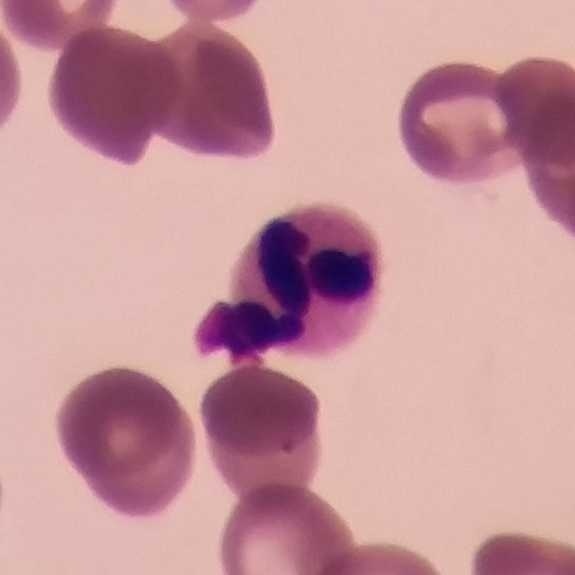 Cell type — neutrophil. Peripheral blood smear.